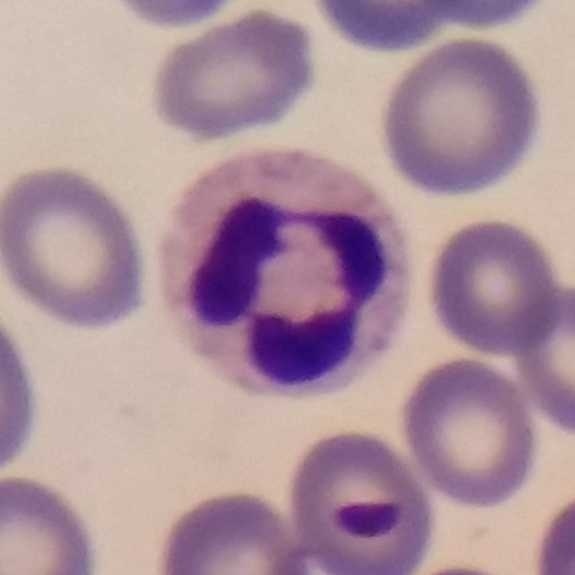 Morphological class = neutrophilic granulocyte.